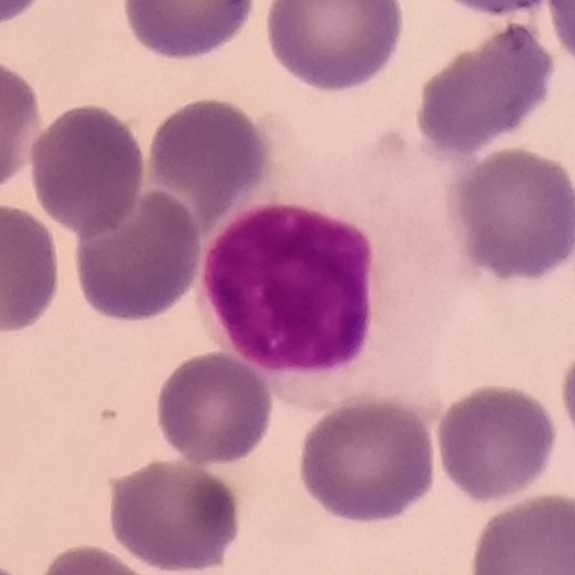
A lymphocyte on a peripheral blood smear.